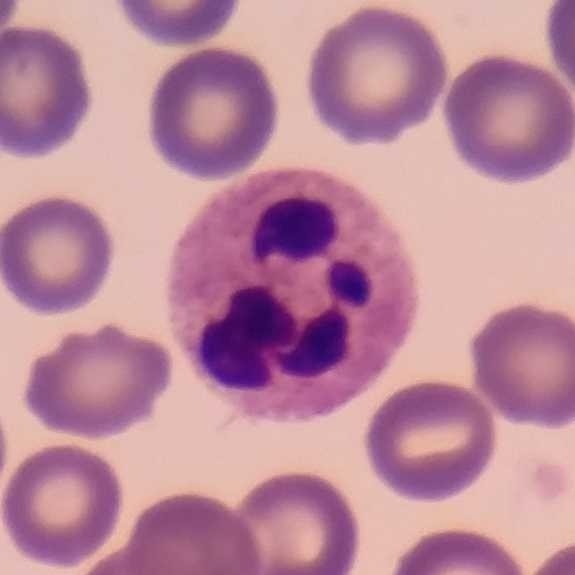 Cell = neutrophil.